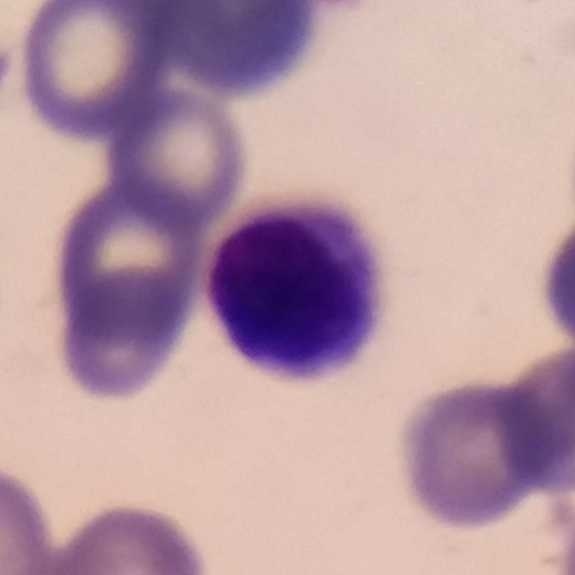Single cell identified as a lymphocyte.

Peripheral blood film.